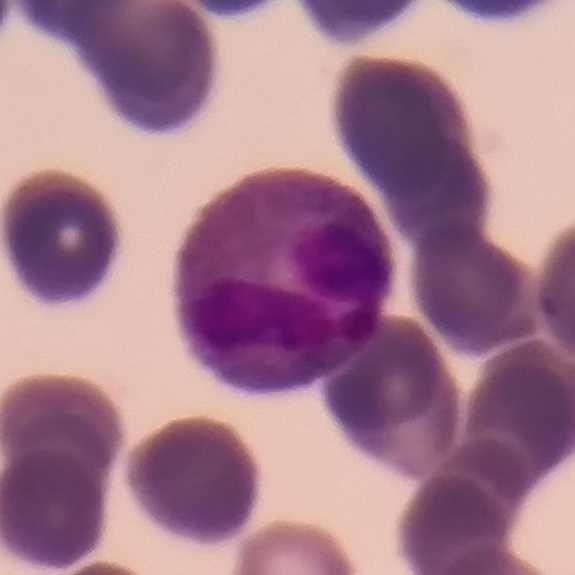Morphological class: eosinophil.